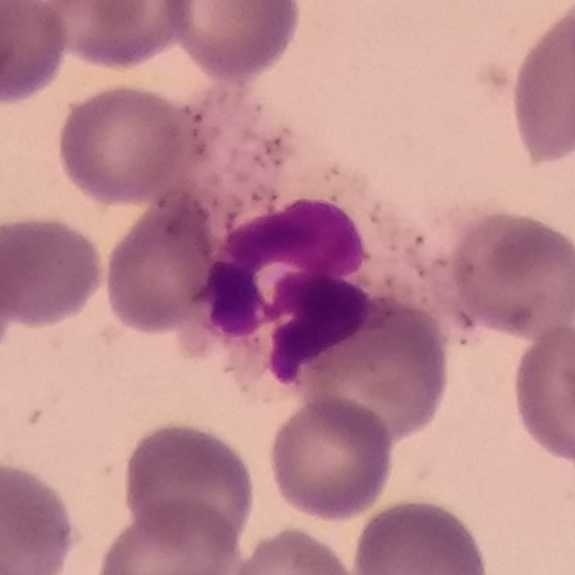
Peripheral blood smear. Giemsa stain. Cell type = neutrophil granulocyte.